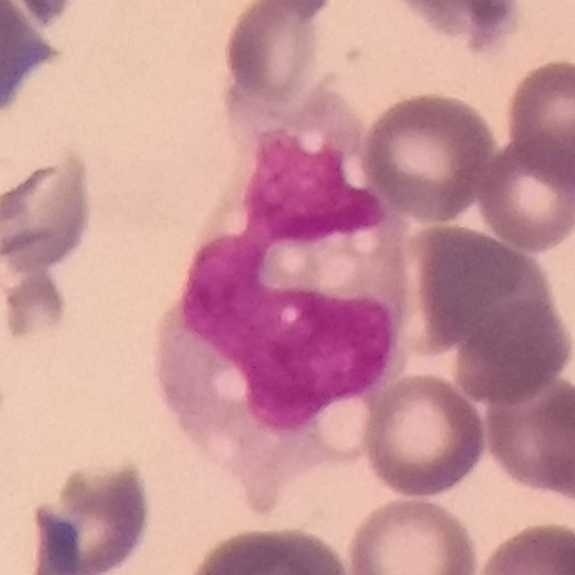White blood cell type = monocyte.